Peripheral blood smear
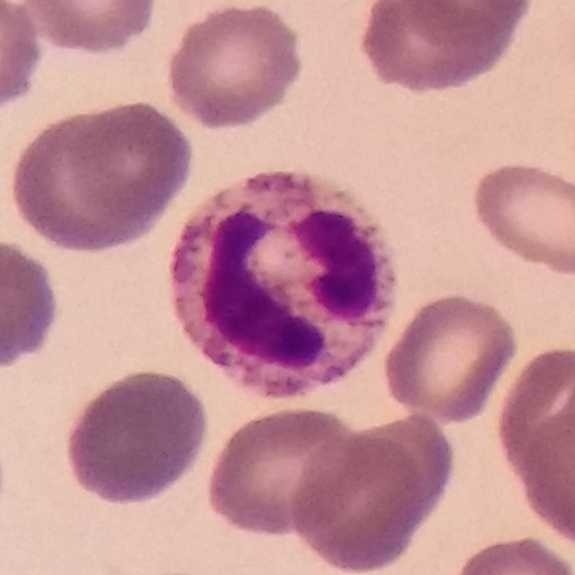

Identified as a neutrophil.